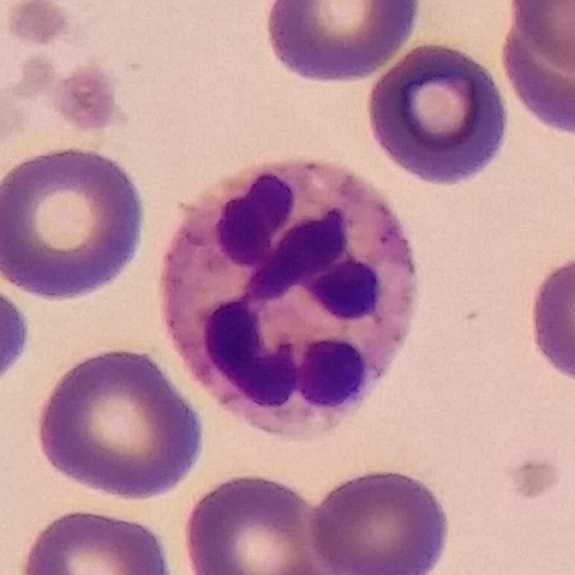{"cell_type": "neutrophilic granulocyte", "lineage": "myeloid"}